Peripheral blood film — 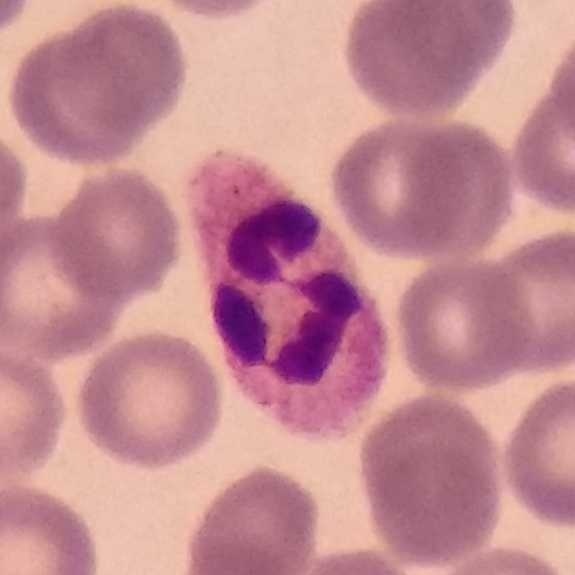

Classification = neutrophilic granulocyte.